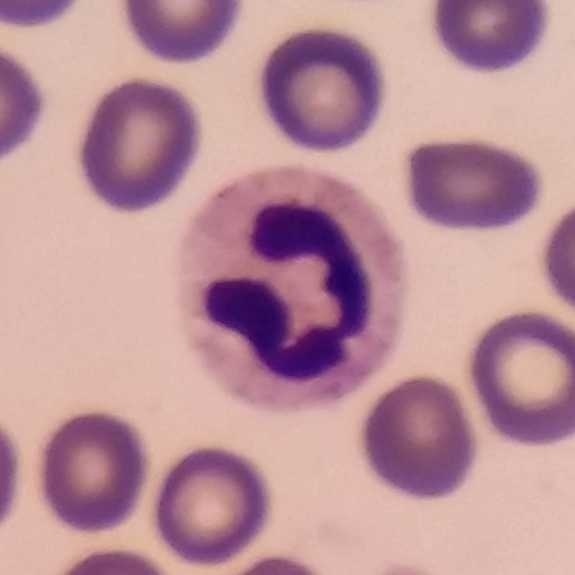Cell: neutrophil granulocyte.

Context: Peripheral blood smear.